Peripheral blood smear:
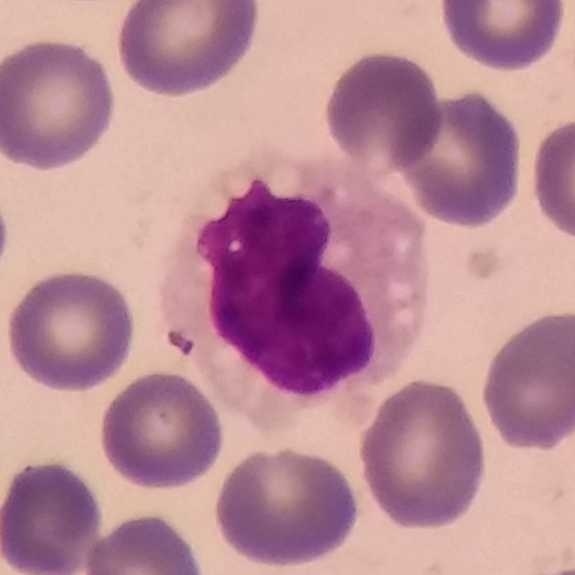
Identified as a monocyte.